Peripheral blood film:
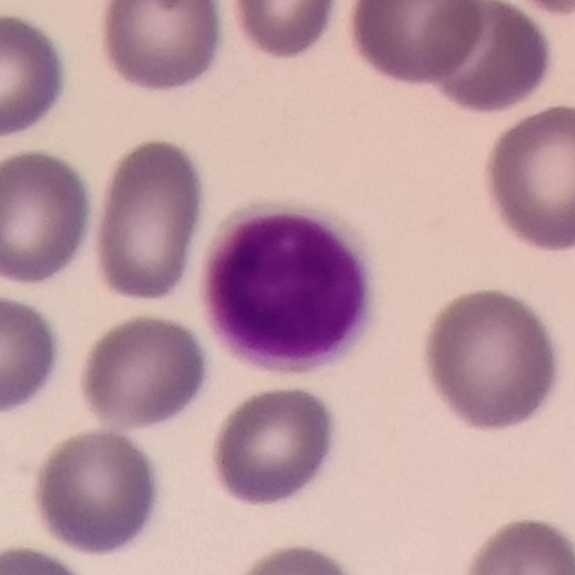 Cell type: lymphocyte.